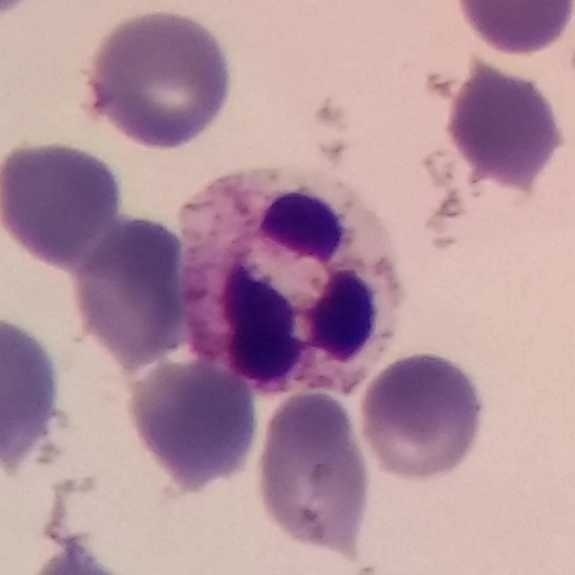The classification is neutrophilic granulocyte. Magnification 100×. Peripheral blood film.